Peripheral blood smear; 575×575 px:
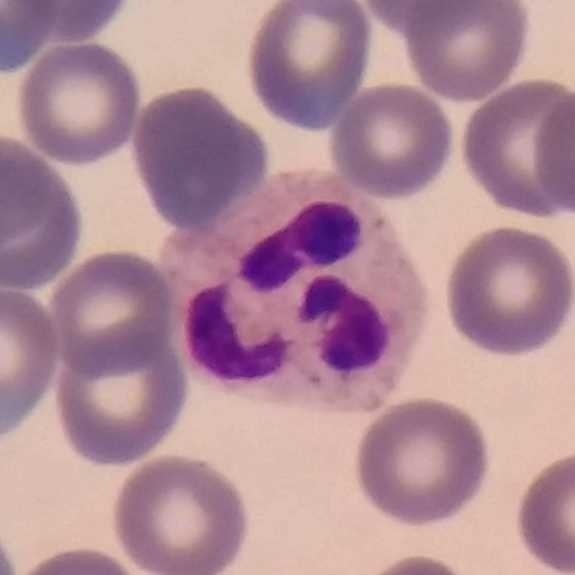

The cell is neutrophilic granulocyte.